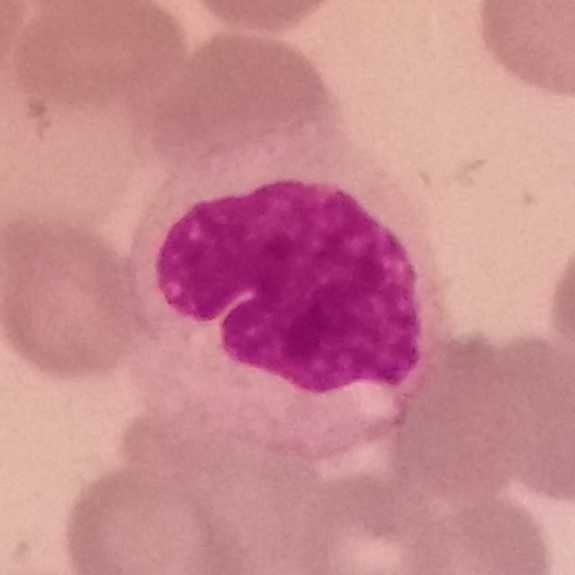
Peripheral blood film, single cell — monocyte.